100× magnification · 575×575 · peripheral blood film.
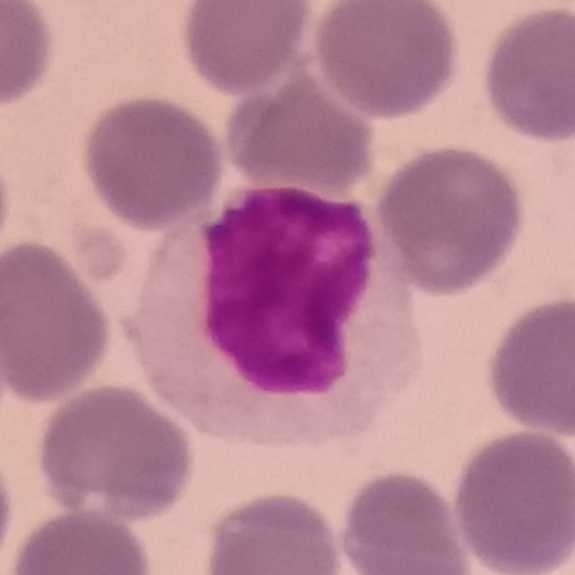
Identified as a lymphocyte.